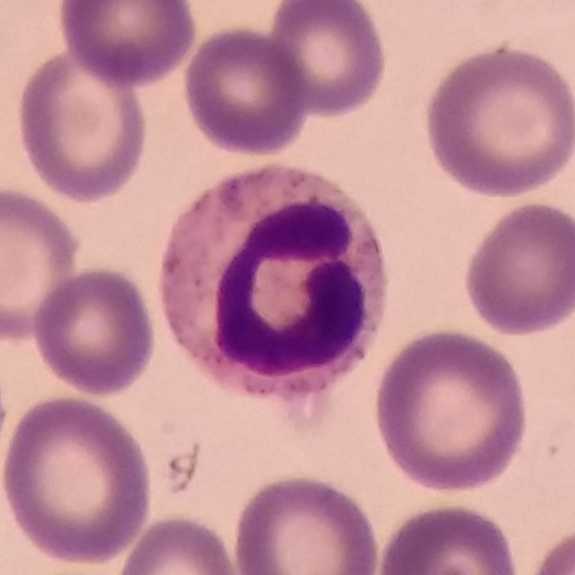 A neutrophil granulocyte.

Acquisition: Single white blood cell cropped from the smear photograph · peripheral blood smear.